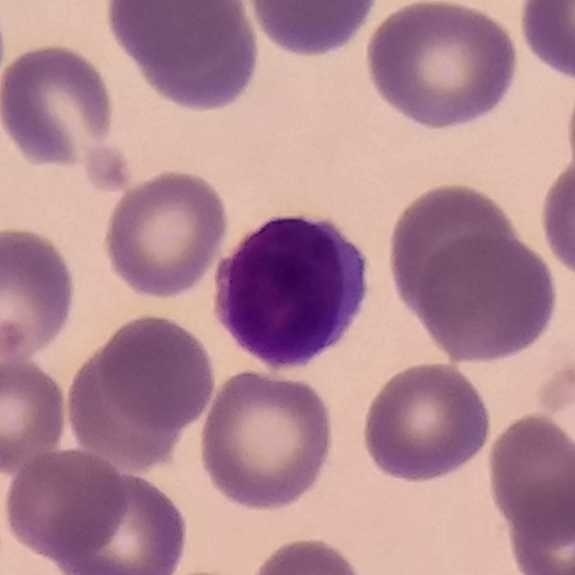Impression — lymphocyte.
Preparation: Peripheral blood smear.